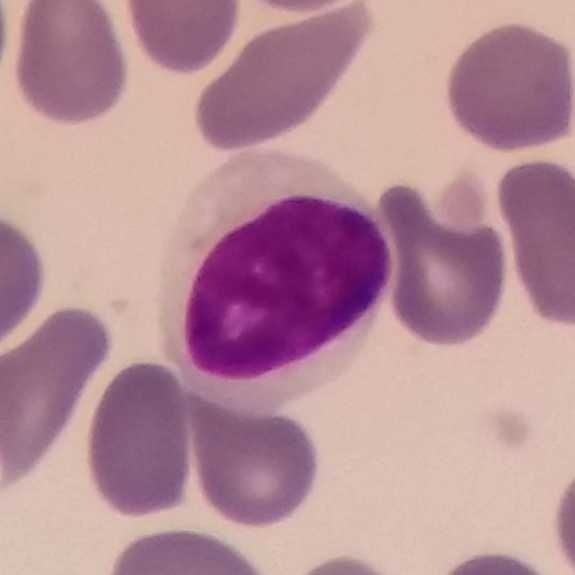

The cell shown is a lymphocyte.